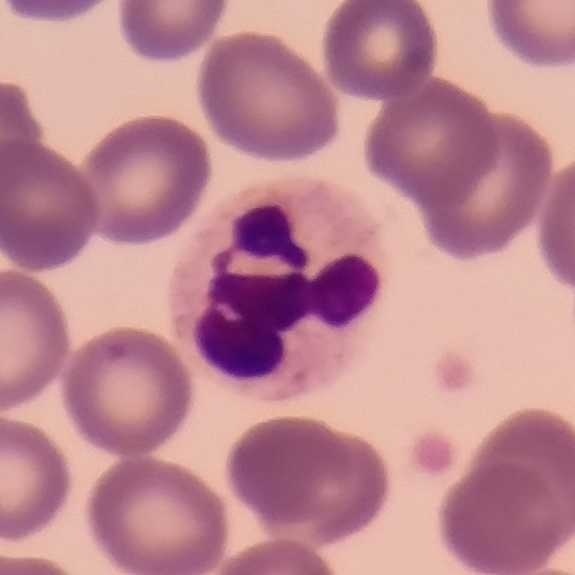Context: Image size 575×575 · peripheral blood smear · phone-camera image taken through the microscope ocular.

Morphology consistent with a neutrophil granulocyte.